Single-cell crop; peripheral blood film
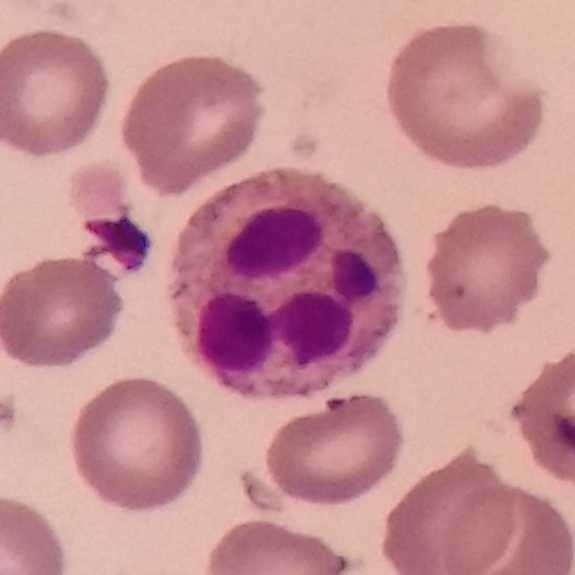 This is a neutrophil granulocyte.